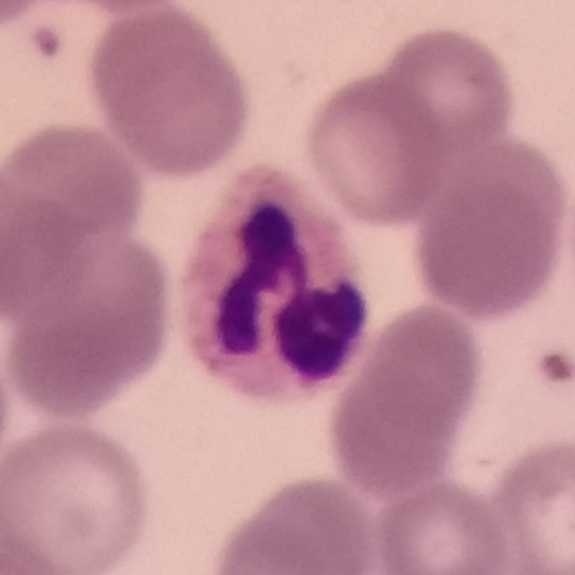
This is a neutrophil granulocyte.